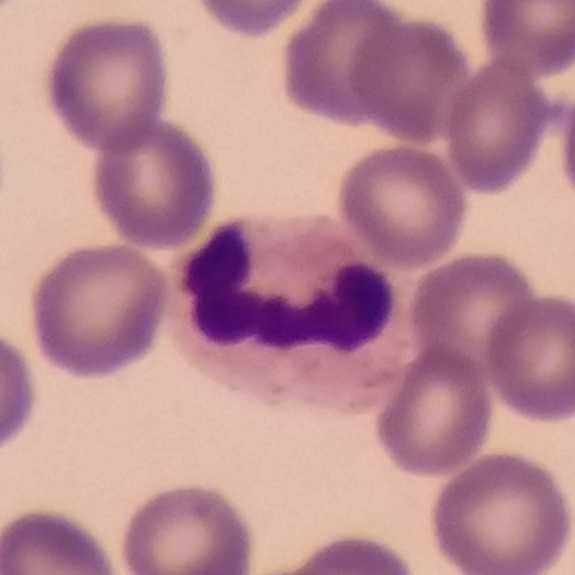 Q: Classify this leukocyte.
A: This is a neutrophilic granulocyte.

Context: Peripheral blood smear. 100× magnification.